Smartphone photomicrograph · peripheral blood film: 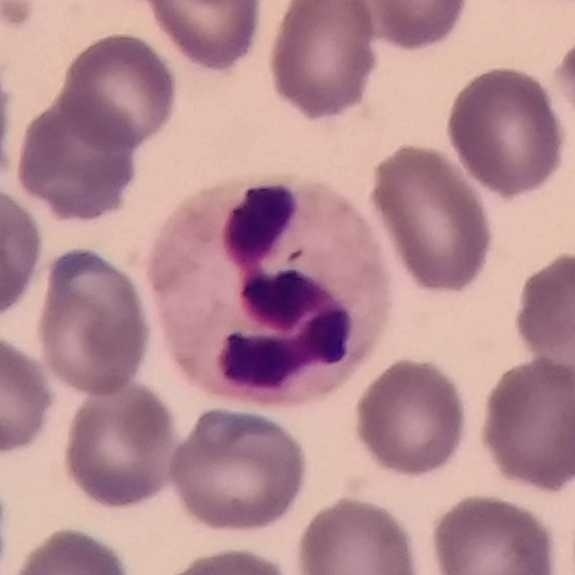The morphological class is neutrophil granulocyte.